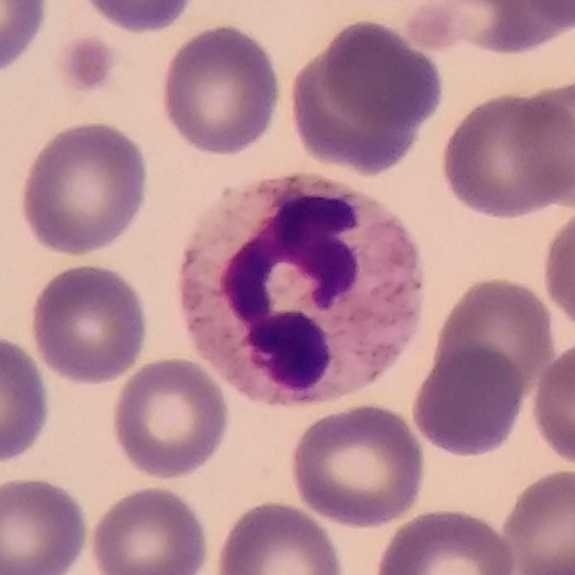Impression — neutrophil granulocyte.